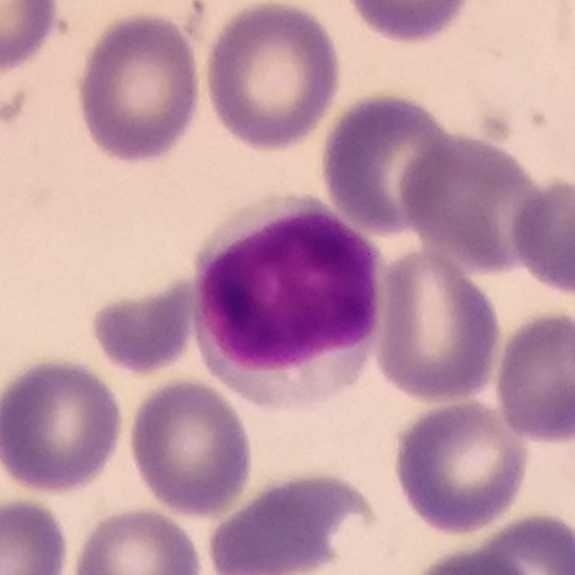 {"cell_type": "lymphocyte"}

Preparation: Peripheral blood smear; magnification 100×.